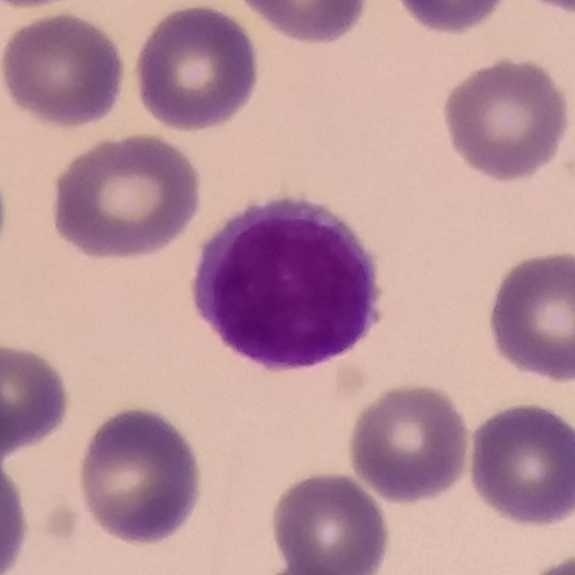Preparation: Peripheral blood smear. Morphological class: lymphocyte.